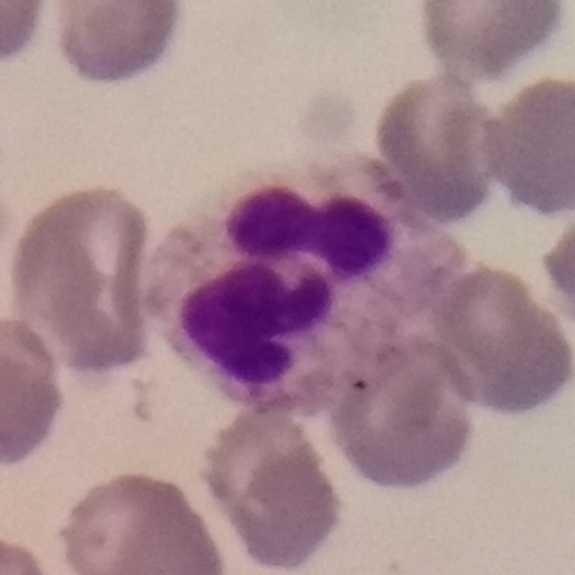Acquisition: Smartphone camera mounted on the microscope eyepiece · Giemsa-stained · peripheral blood film. Showing a neutrophil.